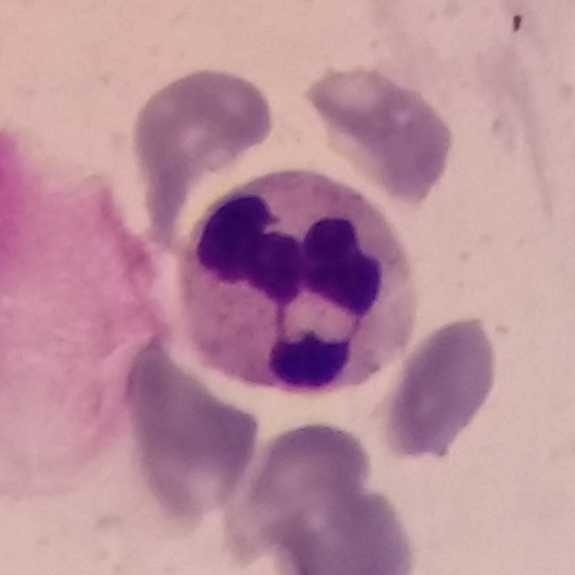
Preparation: 575×575. Peripheral blood smear.

The cell shown is a neutrophil.